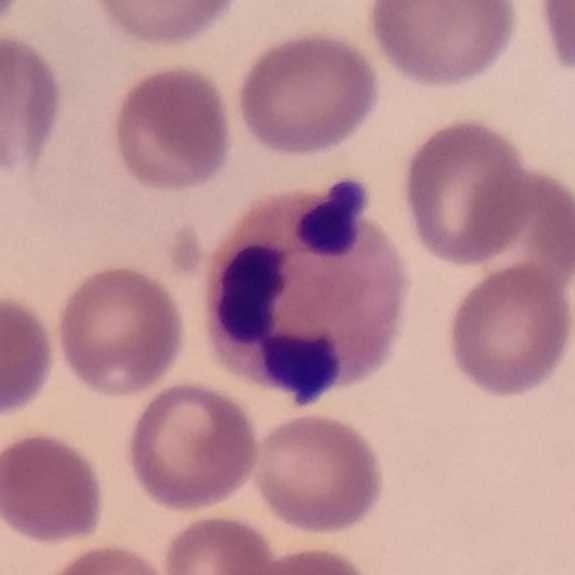 Single cell identified as a neutrophil.